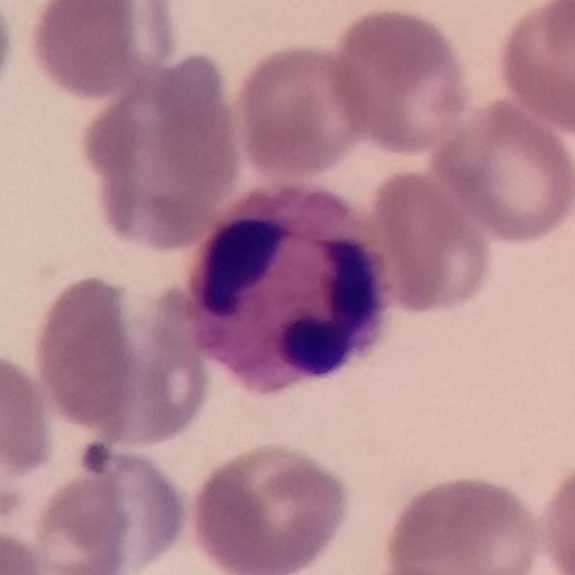Q: Which type of white blood cell is this?
A: It is a neutrophil granulocyte.